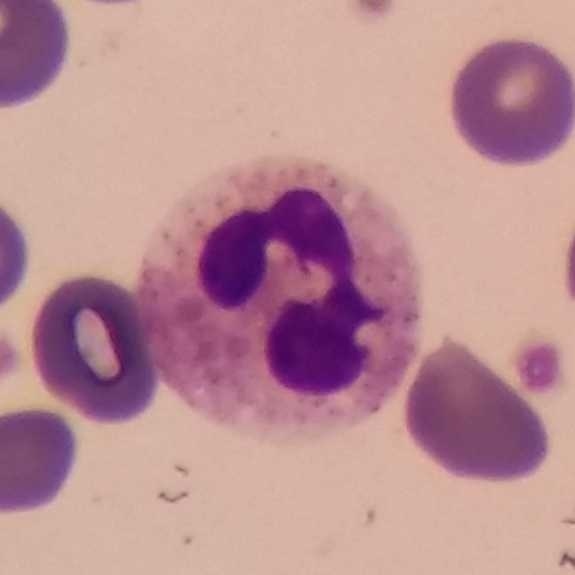Context: Peripheral blood film; photographed through a light microscope with a smartphone camera.

{"cell_type": "neutrophil", "lineage": "myeloid"}